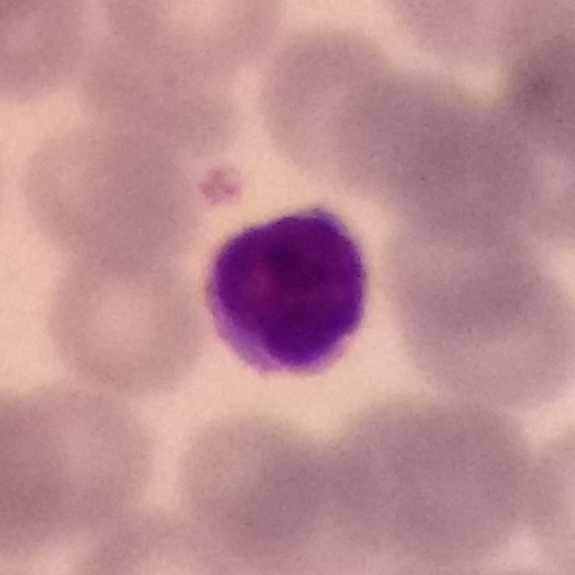Image: 575×575 · photographed through a light microscope with a smartphone camera.

Specimen: peripheral blood smear.
Cell type: lymphocyte.
Lineage: lymphoid.